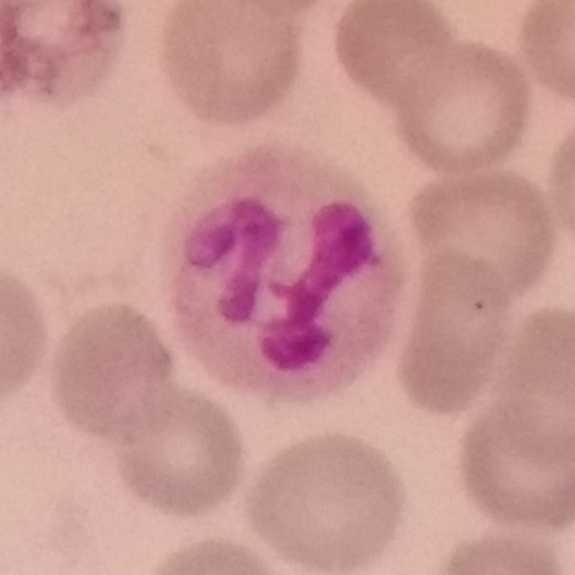{"cell_type": "neutrophil", "lineage": "myeloid"}

Context: Peripheral blood smear.